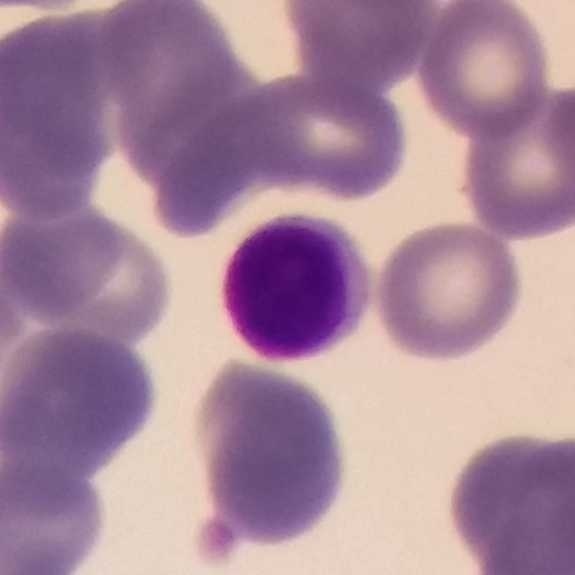 The classification is lymphocyte.